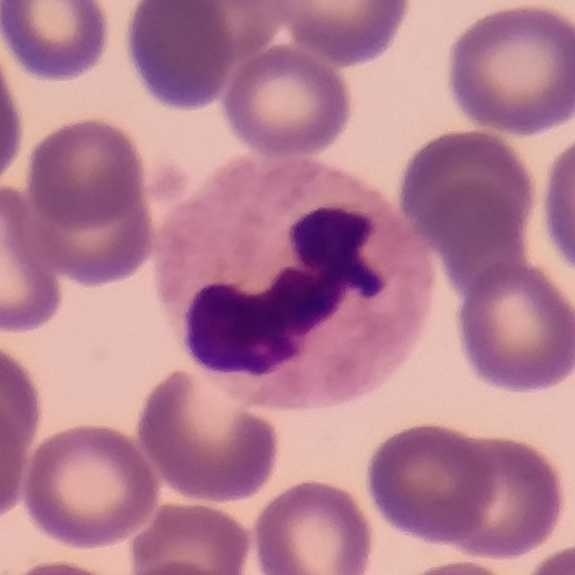

Q: What is this?
A: Neutrophil.

575×575 px. Peripheral blood smear.